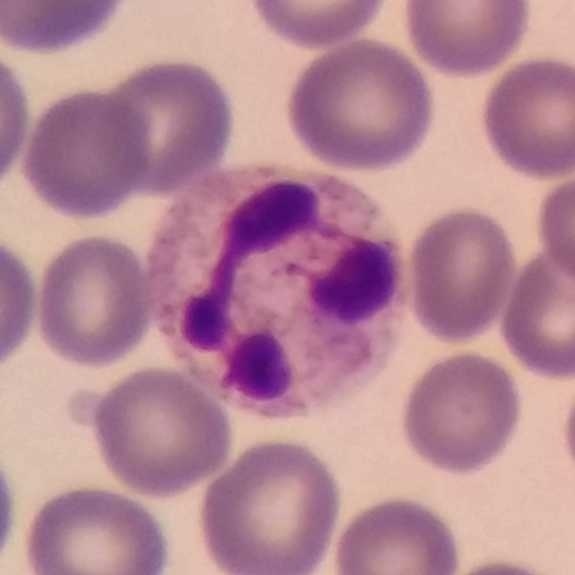

Morphology consistent with a neutrophil.